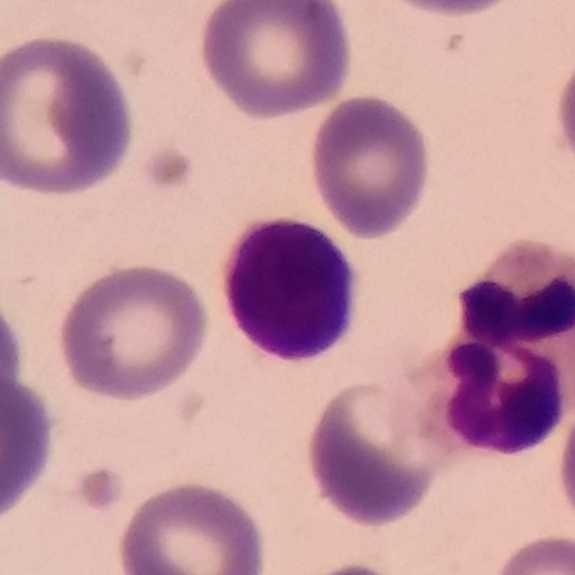
The white blood cell in this image is a lymphocyte. Image: Peripheral blood film.